Peripheral blood film: 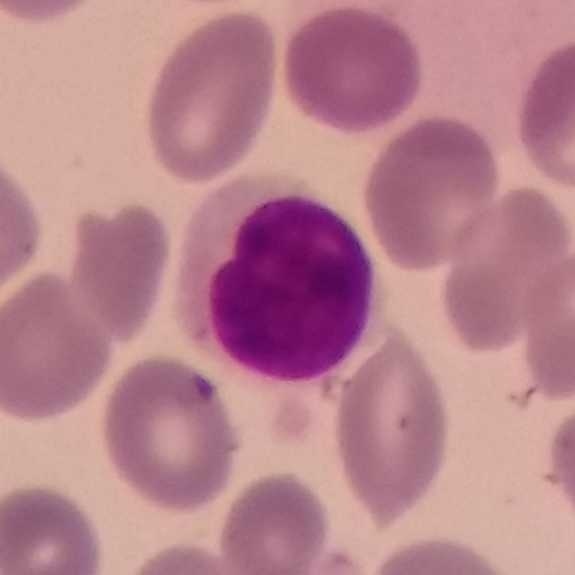
Specimen: peripheral blood smear.
Morphological class: lymphocyte.
Lineage: lymphoid.